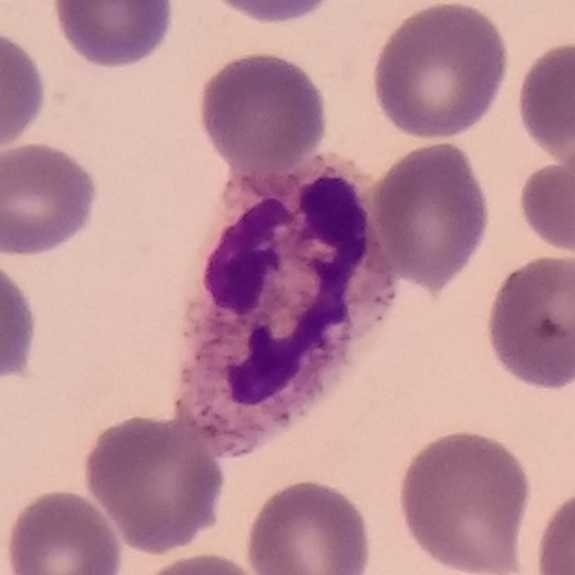
{"cell_type": "neutrophil", "lineage": "myeloid"}